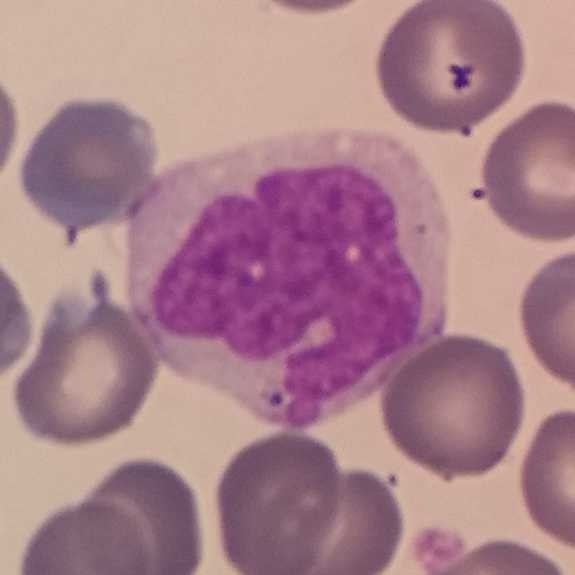
Acquisition: Single white blood cell cropped from the smear photograph.

Specimen: peripheral blood smear.
Cell: monocyte.
Lineage: myeloid.